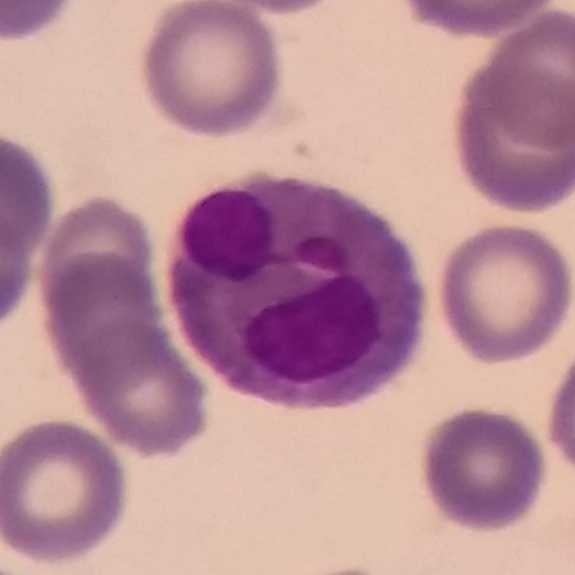
Peripheral blood film. Cell type = eosinophilic granulocyte.